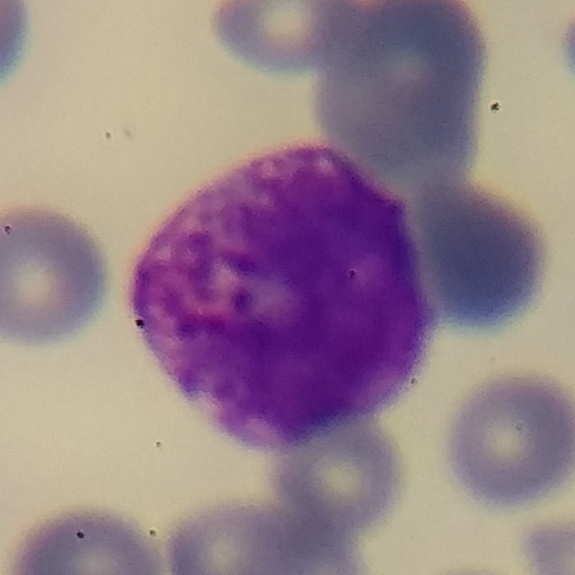 Identified as a basophil.